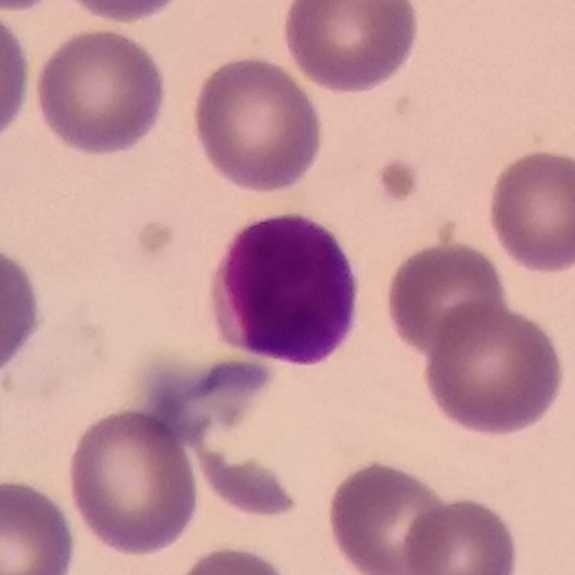 Lymphocyte. Context: Magnification 100×; peripheral blood film.